Peripheral blood film; 575×575 px: 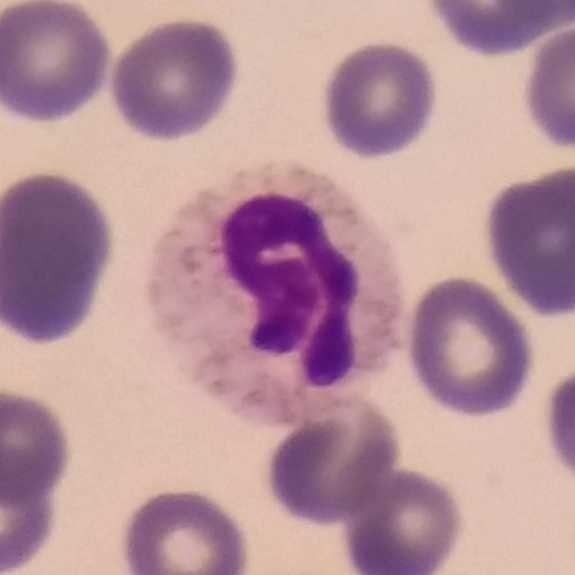
White blood cell type: neutrophilic granulocyte.